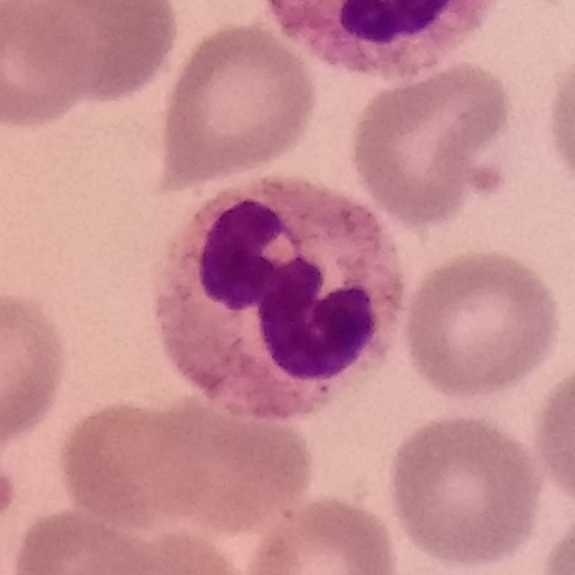{"cell_type": "neutrophil", "lineage": "myeloid"}
Context: Peripheral blood smear.